Peripheral blood smear — 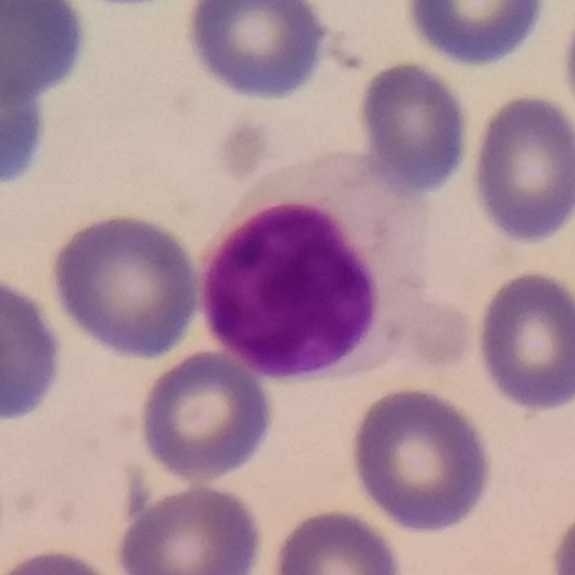 Morphology — lymphocyte.